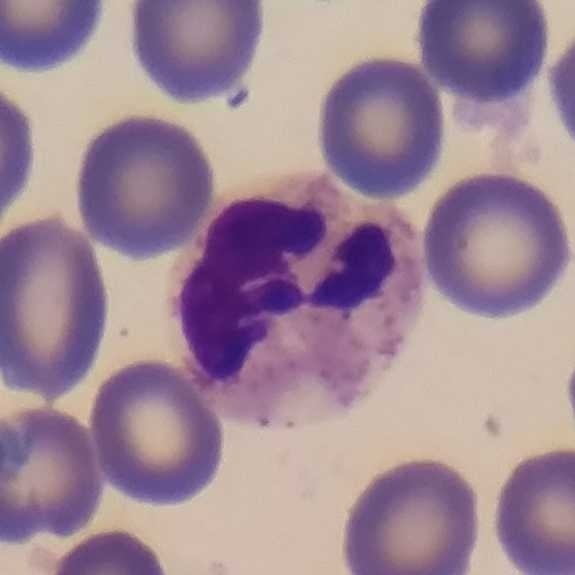

Peripheral blood smear.
Impression — neutrophilic granulocyte.